Peripheral blood smear. 575 by 575 pixels:
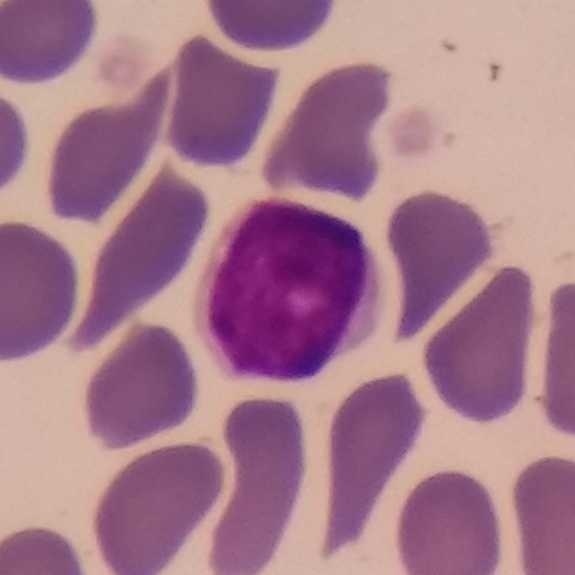Classification = lymphocyte.